Peripheral blood film. Magnification 100× — 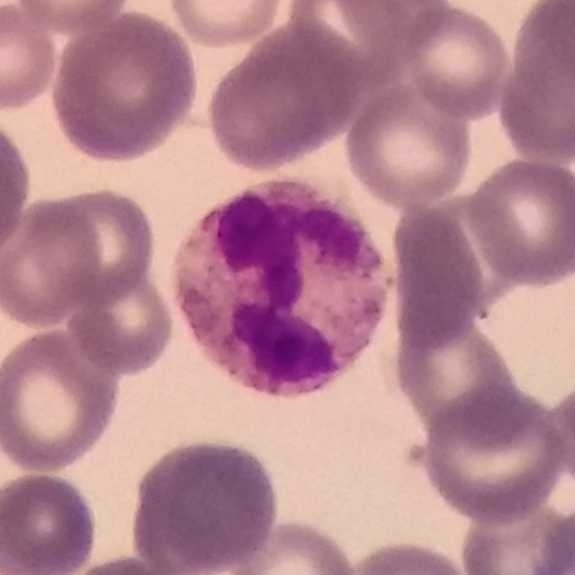

White blood cell type — neutrophil.